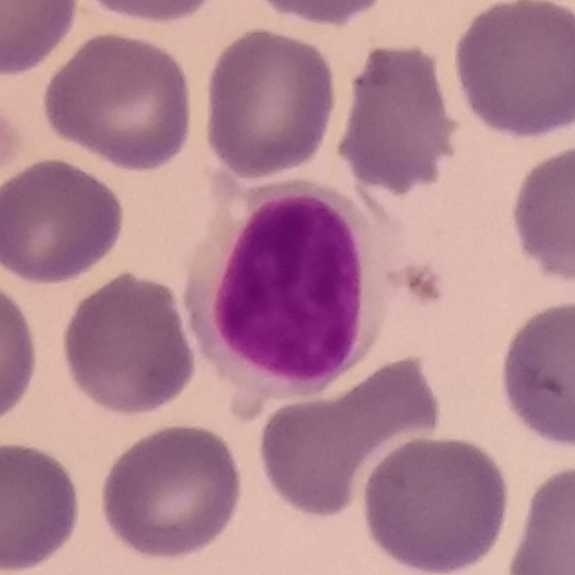Specimen: peripheral blood film.
White blood cell type: lymphocyte.
Lineage: lymphoid.